Peripheral blood smear · photographed through a light microscope with a smartphone camera: 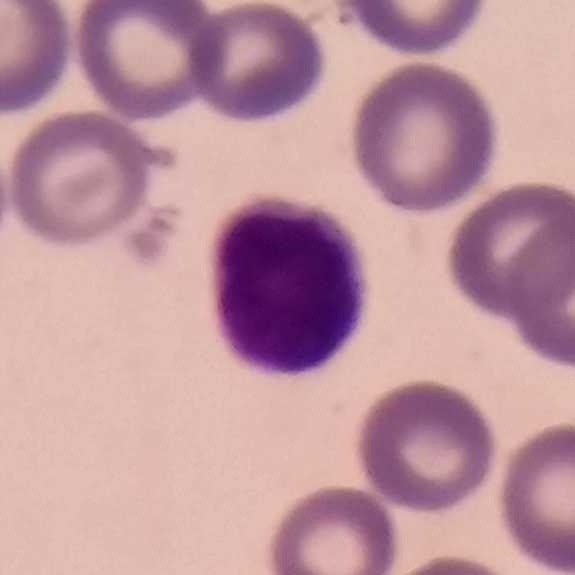
The white blood cell in this image is a lymphocyte.